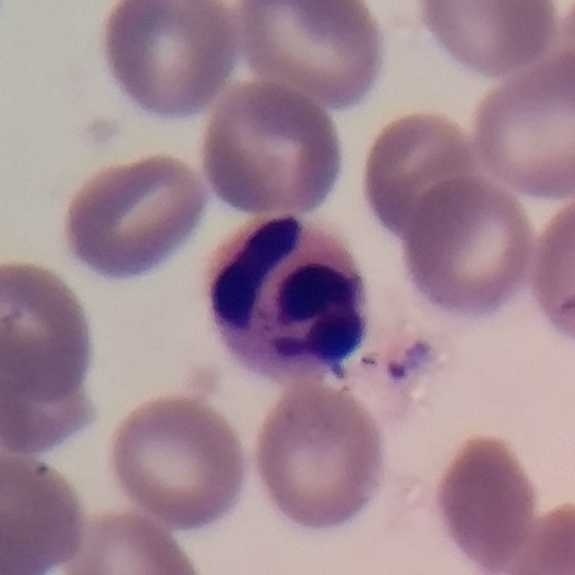 Impression → neutrophilic granulocyte.